Peripheral blood smear: 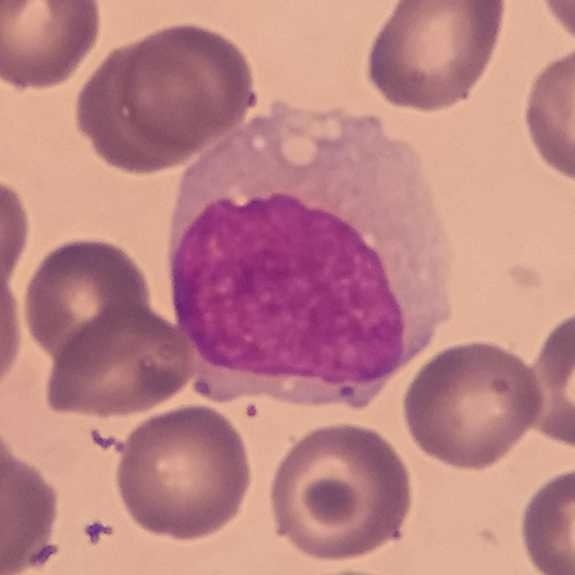
Q: Identify the cell.
A: A monocyte.